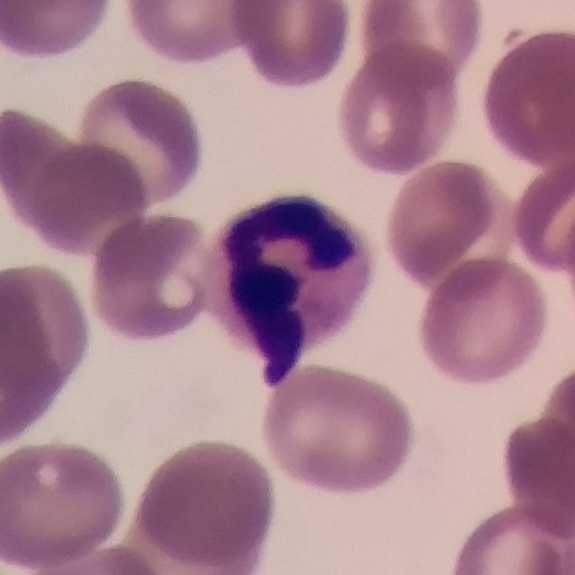 The cell is neutrophil granulocyte. Preparation: Giemsa stain; image size 575×575; peripheral blood smear.